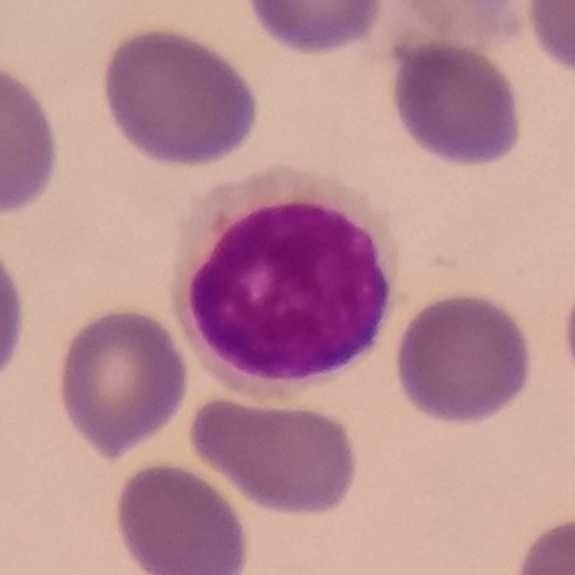Q: Which cell type is shown here?
A: A lymphocyte.

Peripheral blood film.